Single-cell crop. Peripheral blood smear:
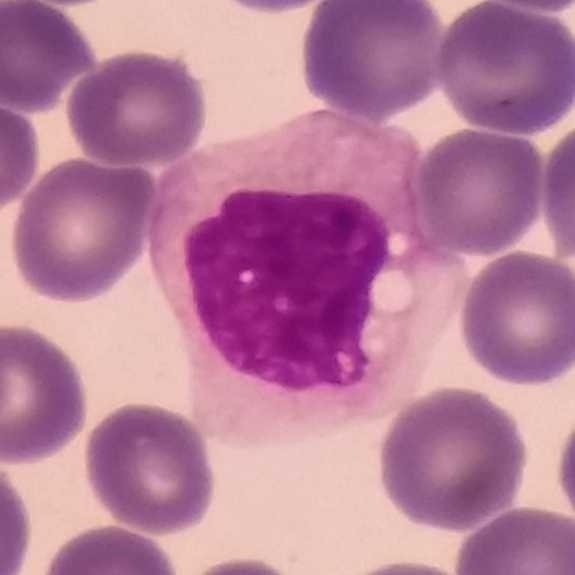

Cell type — monocyte.